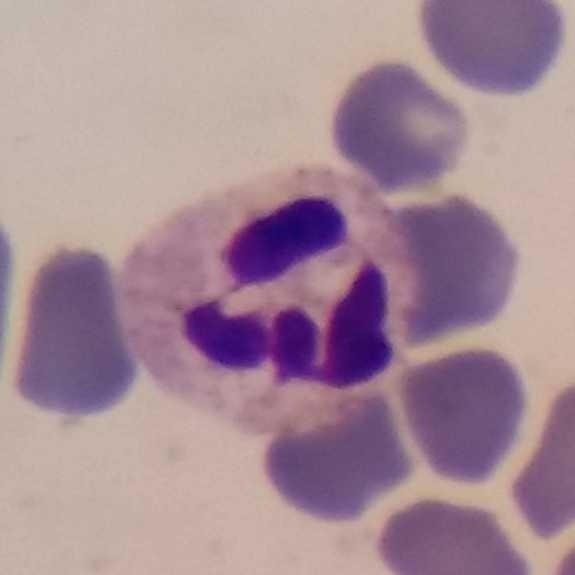Morphological class = neutrophilic granulocyte.